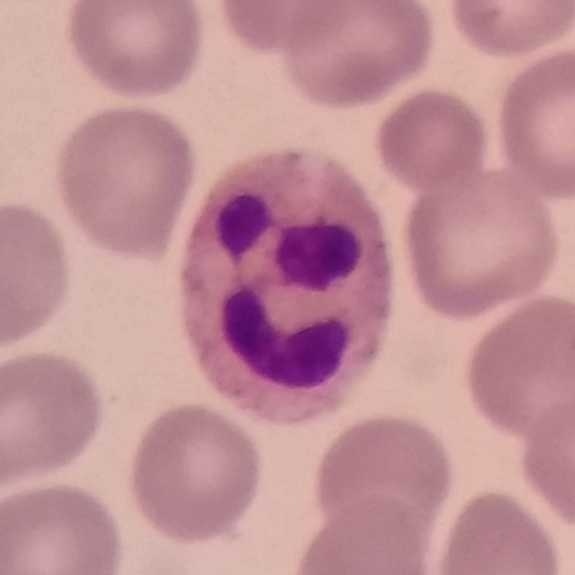
The morphological class is neutrophil.
Image: Peripheral blood film.